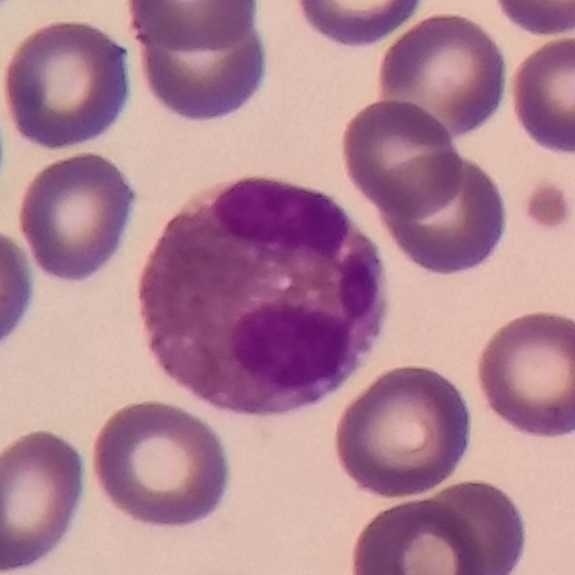Specimen: peripheral blood smear.
White blood cell type: eosinophilic granulocyte.
Lineage: myeloid.